Peripheral blood smear; 575×575 px; 100× magnification.
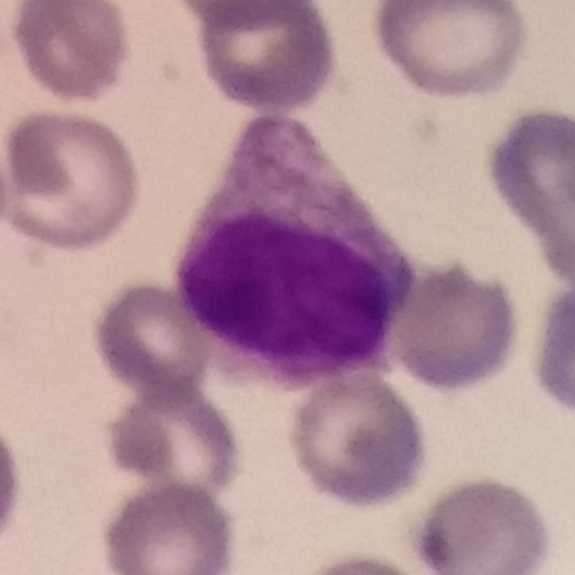Classification = lymphocyte.